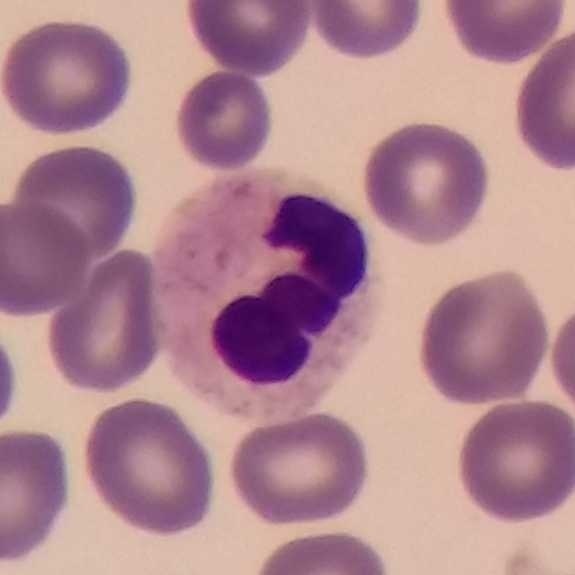 White blood cell type: neutrophil. Context: Peripheral blood film.